Peripheral blood smear.
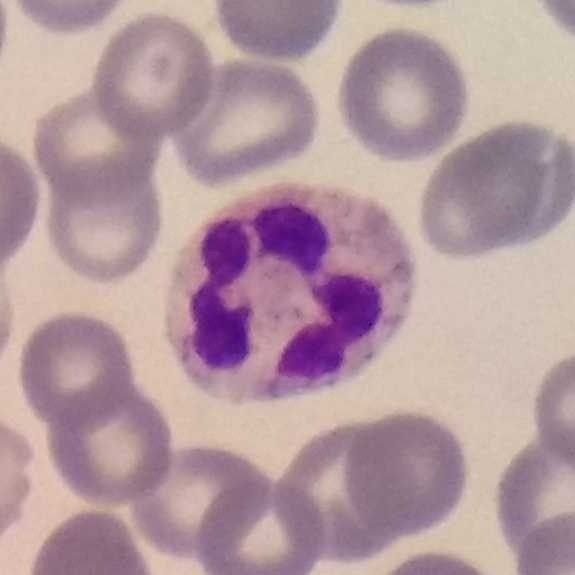Cell type: neutrophil.